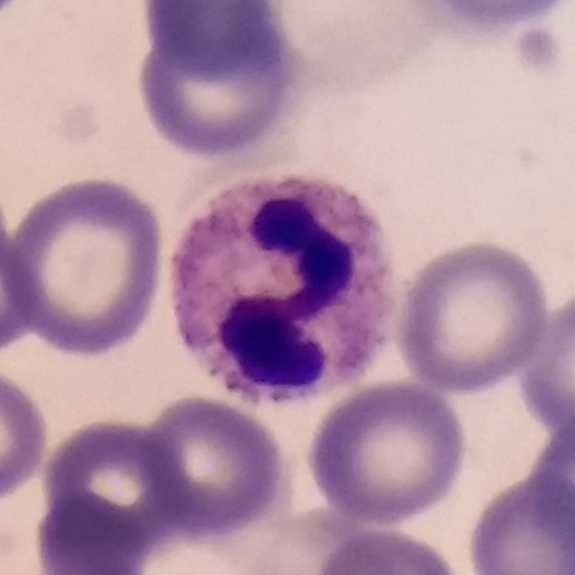
Morphological class — neutrophil. Preparation: Single white blood cell cropped from the smear photograph · peripheral blood film · 575 by 575 pixels.